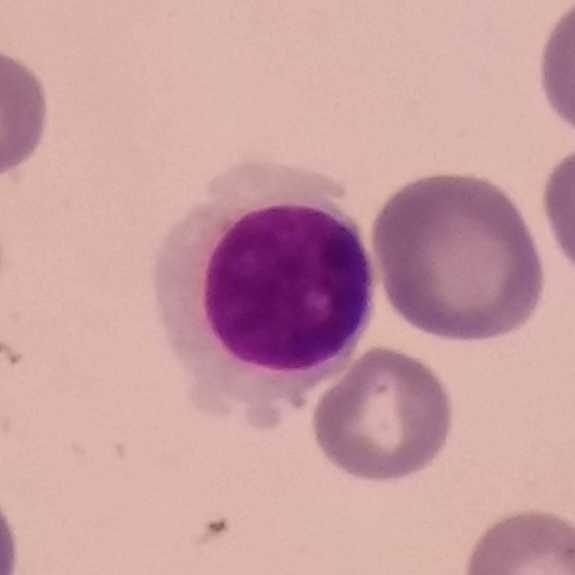Morphological class: lymphocyte. Cropped to one leukocyte. Peripheral blood film.